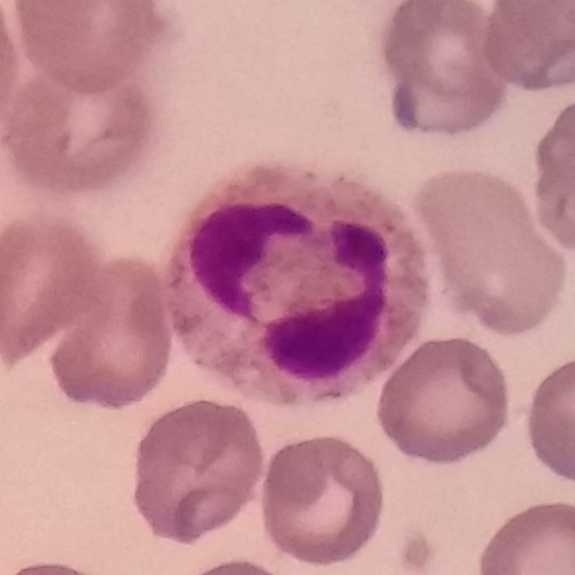

Peripheral blood smear.
Cell = neutrophilic granulocyte.